Peripheral blood film
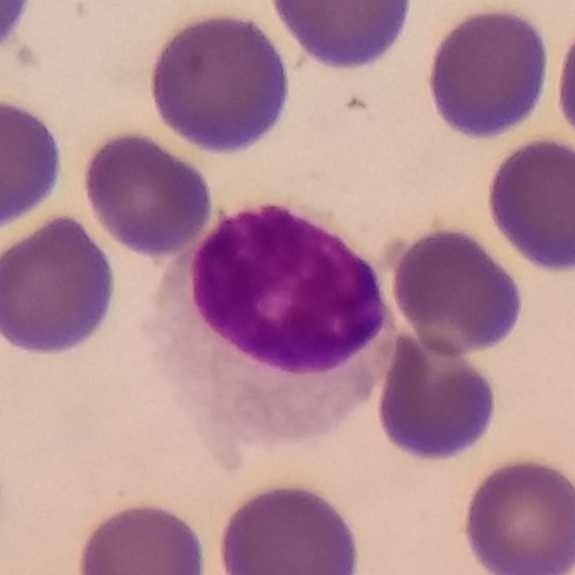

Classification = lymphocyte.